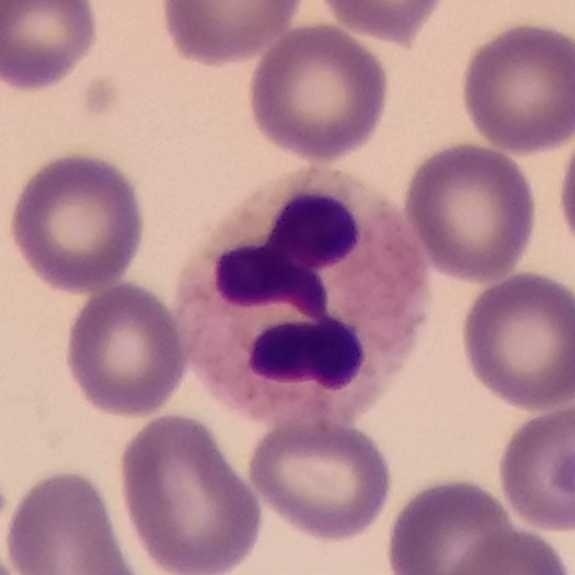
Impression — neutrophil granulocyte.
Context: Peripheral blood film.